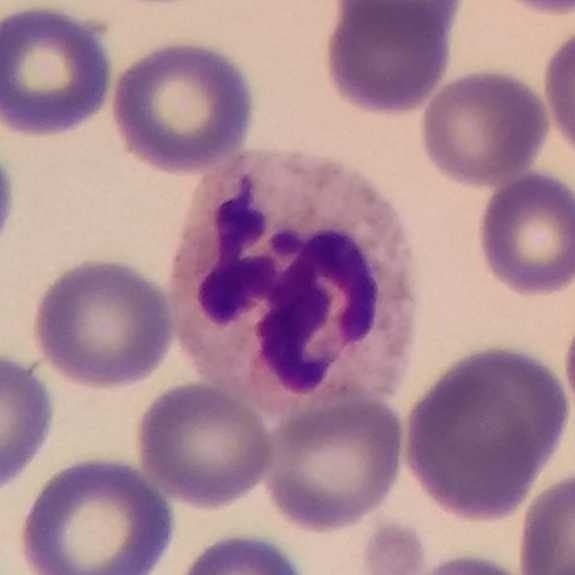
{"cell_type": "neutrophil granulocyte", "lineage": "myeloid"}

Acquisition: Peripheral blood film.